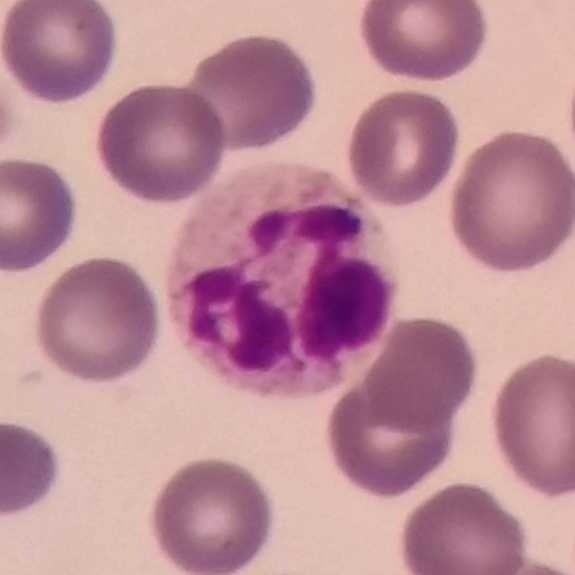

Cell type — neutrophil granulocyte.